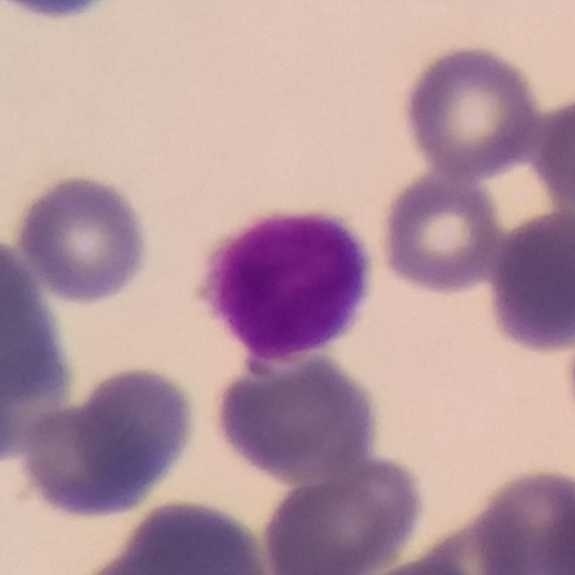This is a lymphocyte.
Peripheral blood smear.